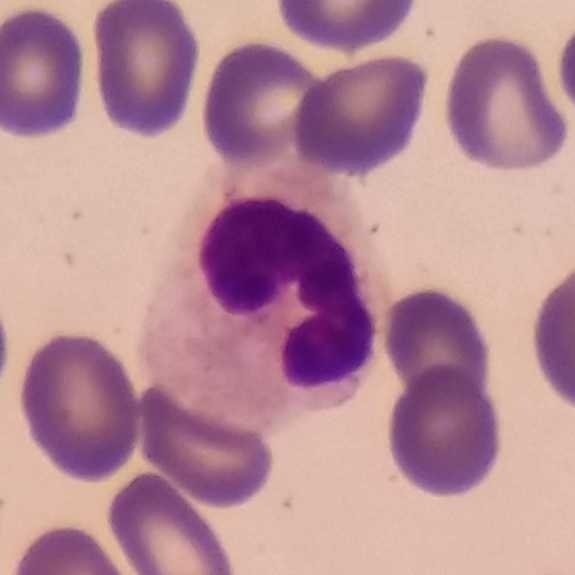 The morphological class is neutrophil granulocyte. Image: Magnification 100×. Peripheral blood film.